Peripheral blood film; 100× magnification.
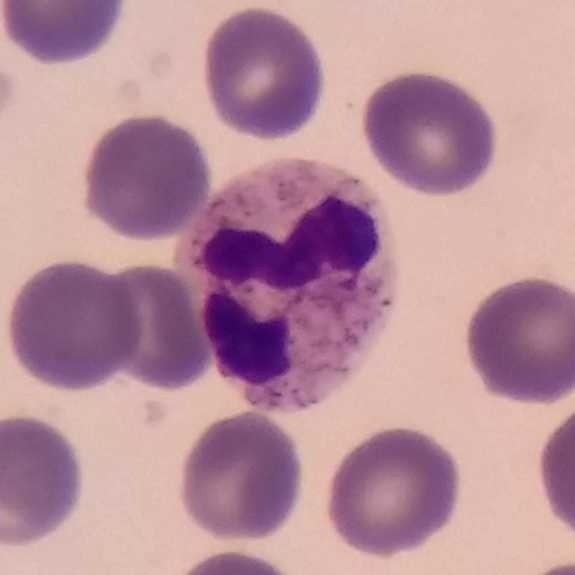Q: What is this?
A: Neutrophil.